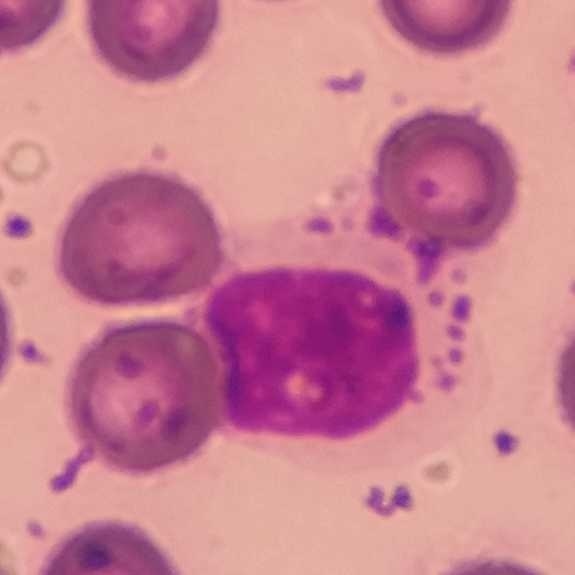

Preparation: Peripheral blood smear; 100× magnification; smartphone camera mounted on the microscope eyepiece. A monocyte.